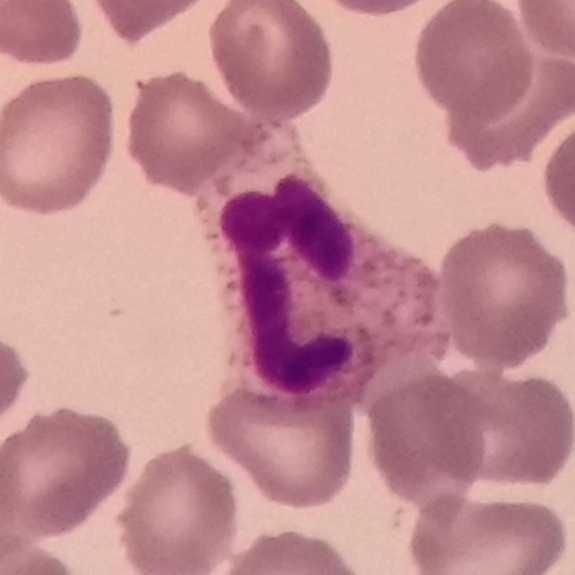 The morphological class is neutrophil.
Image: Peripheral blood smear.